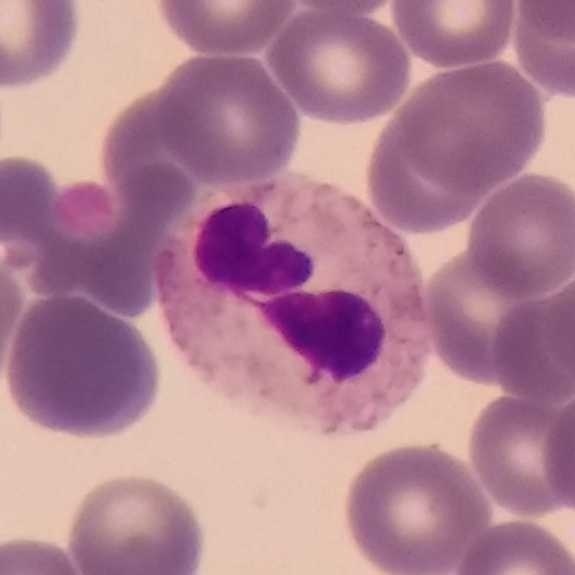 Cell = neutrophil.